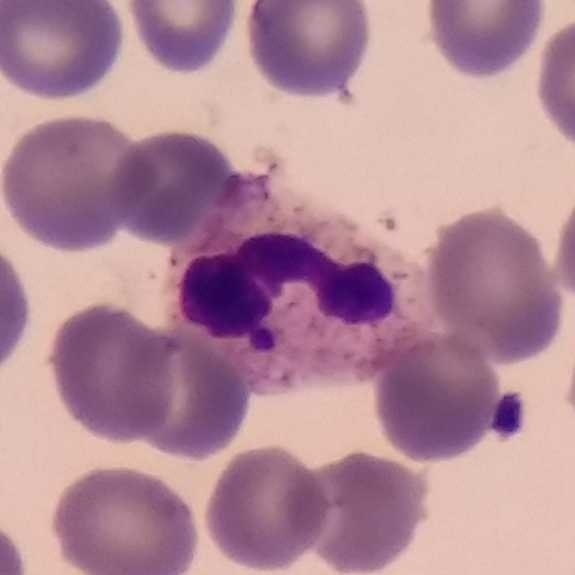Identified as a neutrophil granulocyte.

Peripheral blood smear.